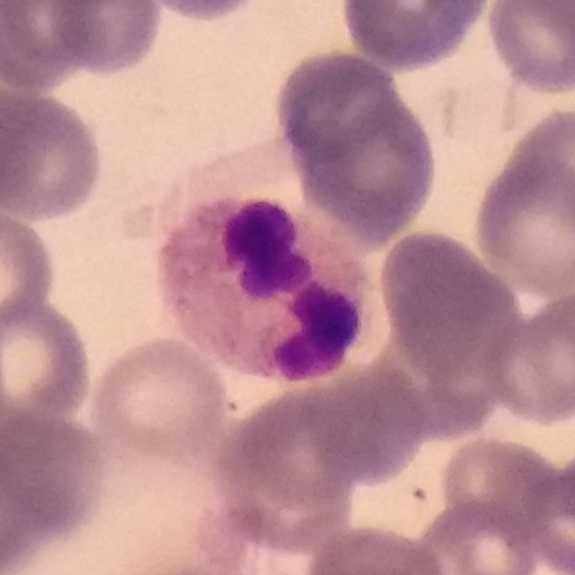Cell = neutrophilic granulocyte.
Preparation: Giemsa-stained. Peripheral blood smear. Imaged at 100×.